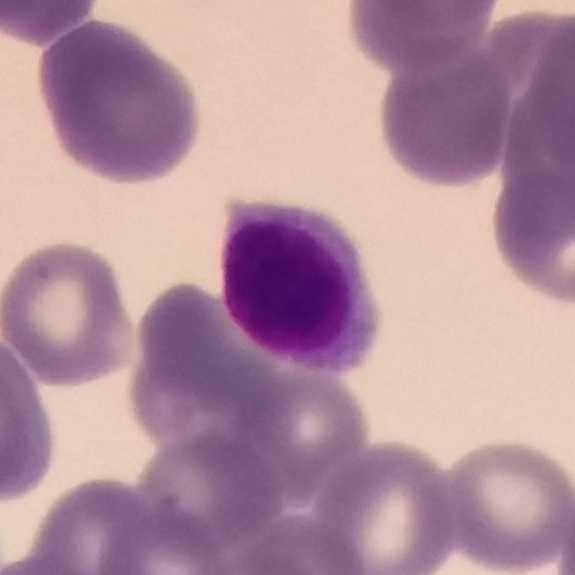
Morphology → lymphocyte.